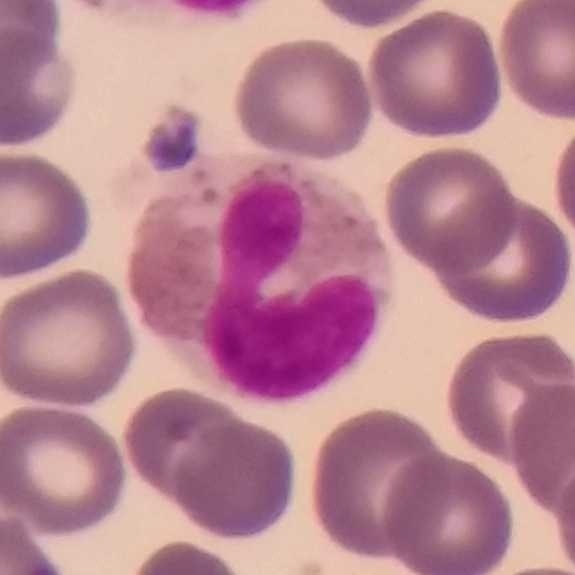

Specimen: peripheral blood film.
Morphological class: eosinophil.